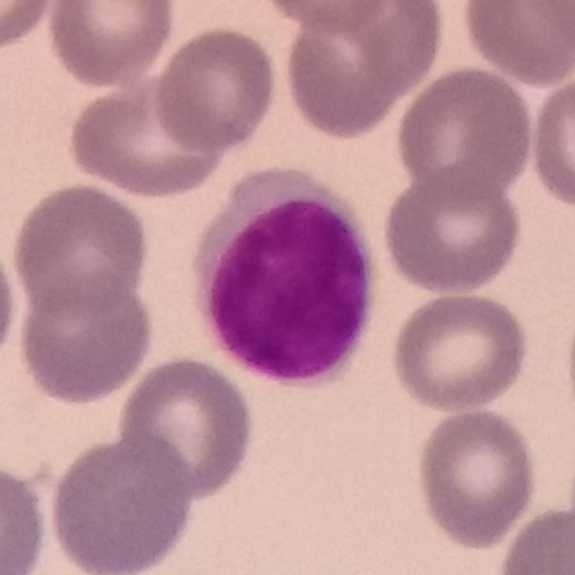
Preparation: Peripheral blood film. Single white blood cell cropped from the smear photograph. The white blood cell in this image is a lymphocyte.